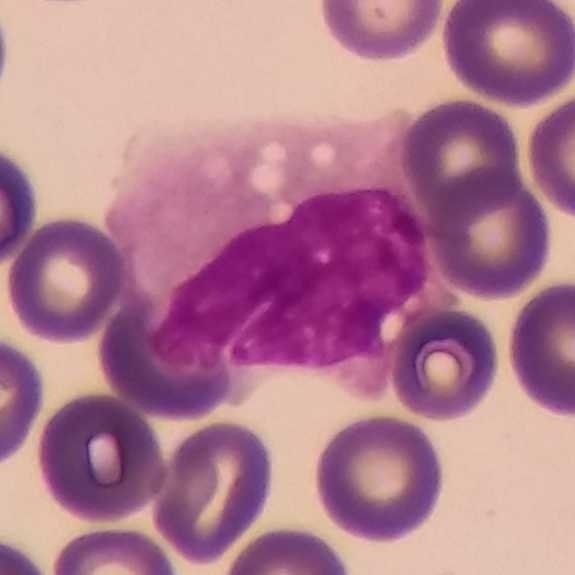
White blood cell type: monocyte.

Acquisition: Giemsa-stained · cropped to one leukocyte · peripheral blood smear.